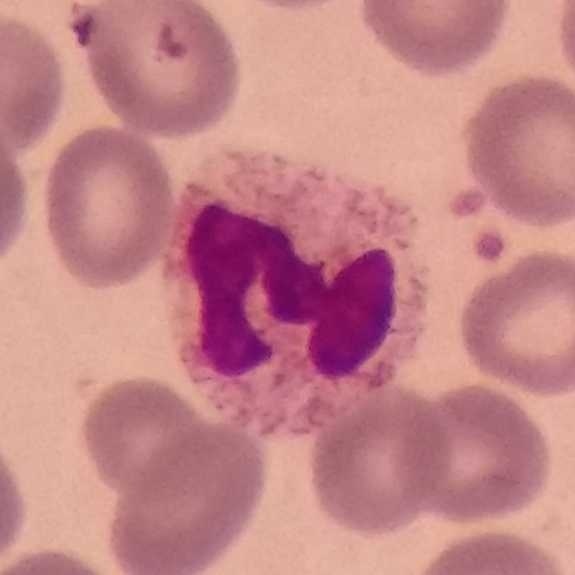

A neutrophilic granulocyte.
Acquisition: 575×575; peripheral blood film.